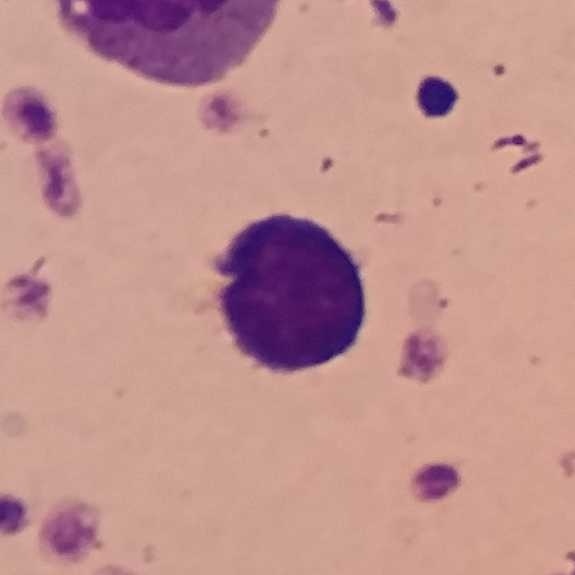

Morphology consistent with a lymphocyte.
Peripheral blood film. Giemsa-stained.